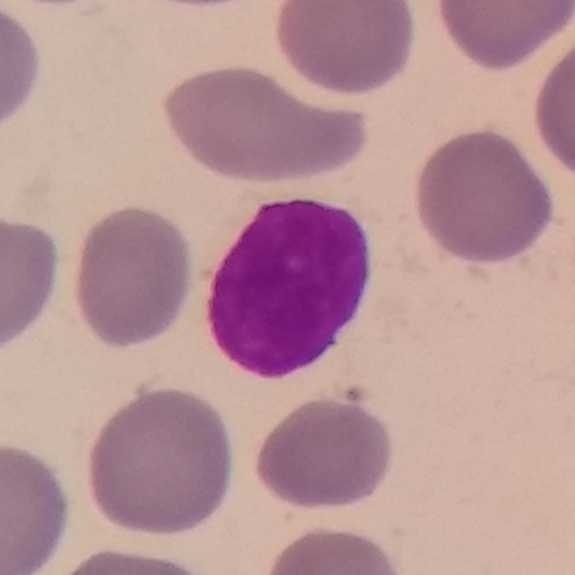 Q: Which type of white blood cell is this?
A: Lymphocyte.